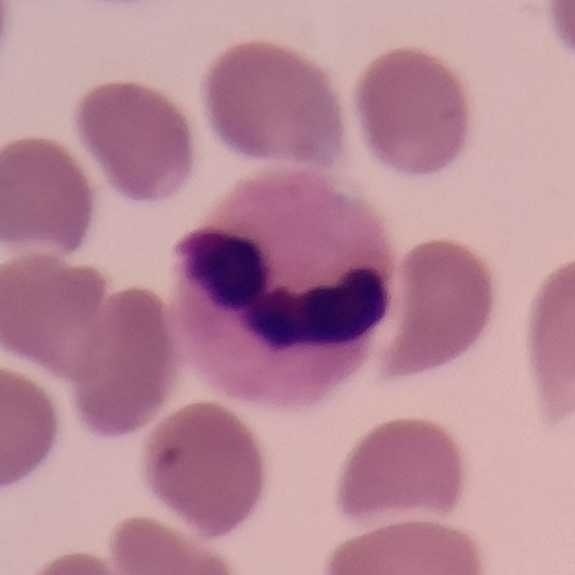
Q: What is shown here?
A: Neutrophilic granulocyte.